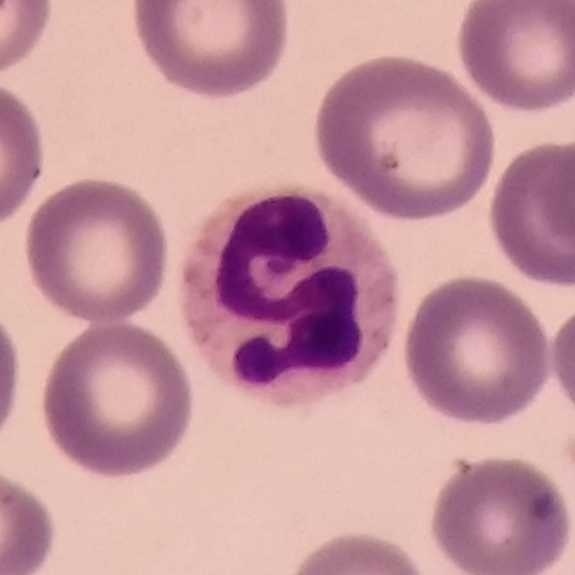

Identified as a neutrophil granulocyte. Image: Phone-camera image taken through the microscope ocular · peripheral blood smear.